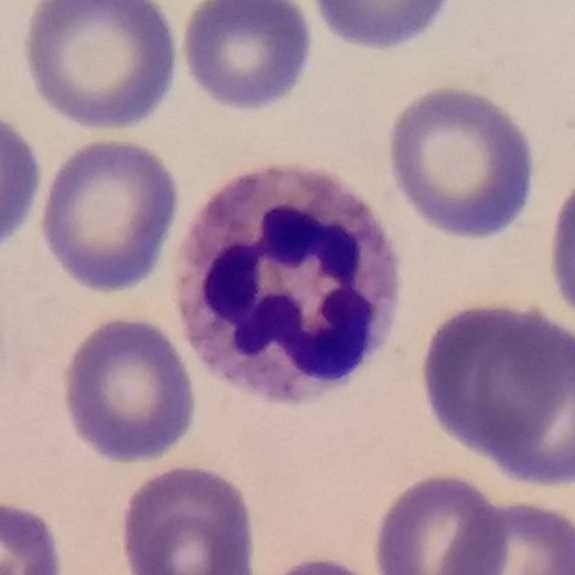 {"cell_type": "neutrophil"} Image: Peripheral blood smear. 575×575 px.